Single-cell crop. Peripheral blood smear. Smartphone photomicrograph — 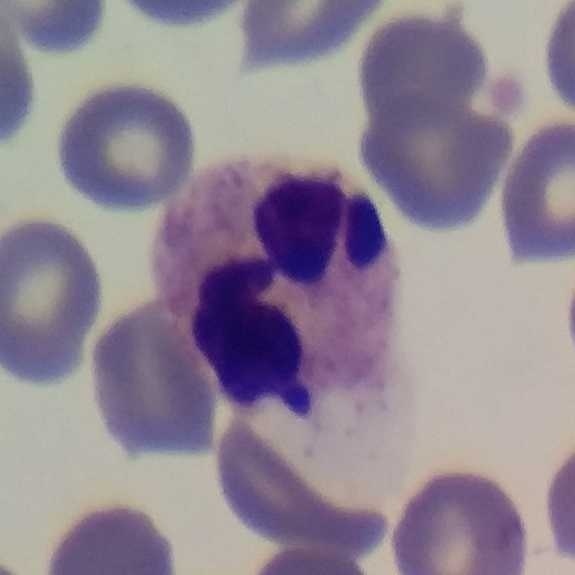

Morphology — neutrophil granulocyte.